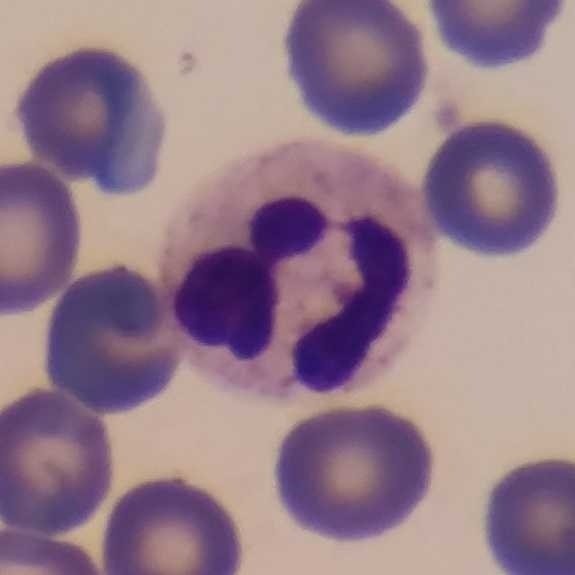

Q: What is the morphological classification of this cell?
A: It is a neutrophilic granulocyte.

Peripheral blood smear.